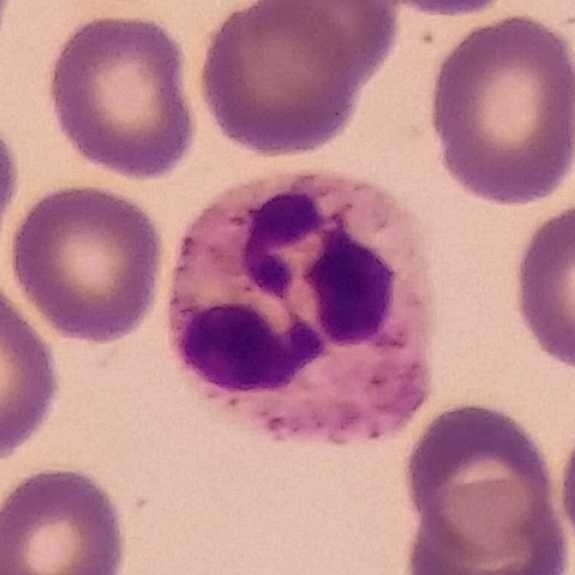
Cell = neutrophil.

Image: Smartphone camera mounted on the microscope eyepiece. Peripheral blood film.